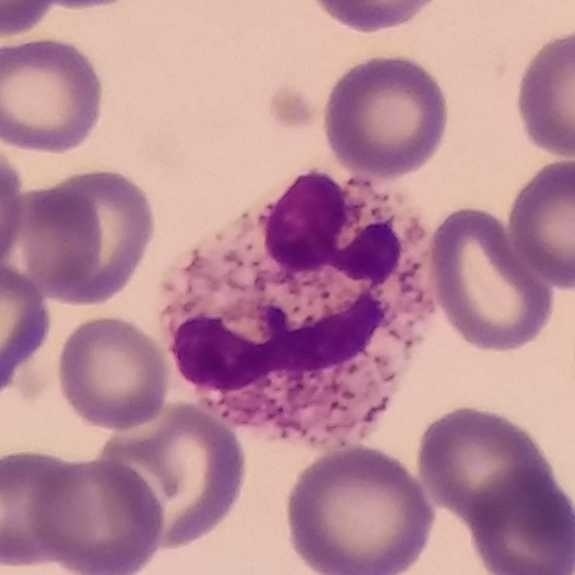
Cell type — neutrophil.

Preparation: Peripheral blood film.